Peripheral blood smear · cropped to one leukocyte.
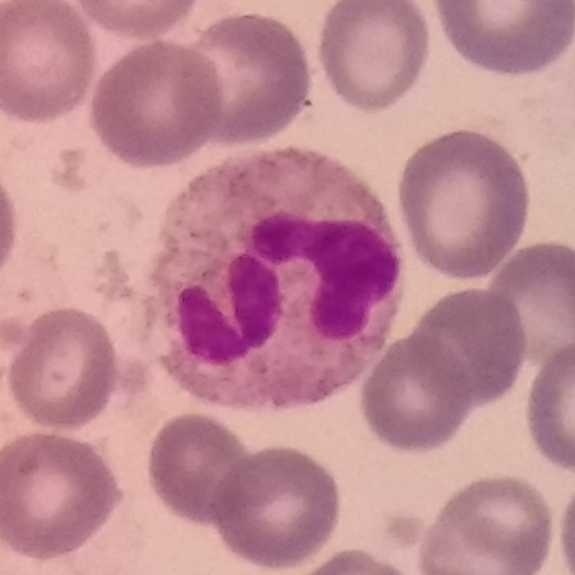
Cell type: neutrophil granulocyte.